Peripheral blood smear · photographed through a light microscope with a smartphone camera:
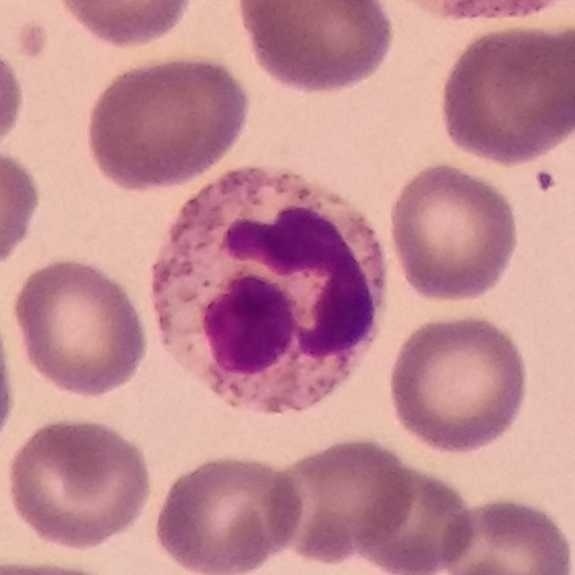

Specimen: peripheral blood film.
Classification: neutrophilic granulocyte.
Lineage: myeloid.